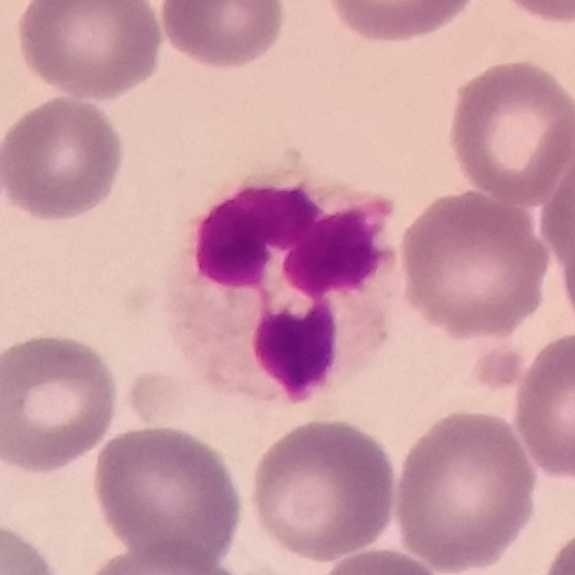

Q: Classify this leukocyte.
A: This is a neutrophil. Image: Peripheral blood smear · 575 by 575 pixels.